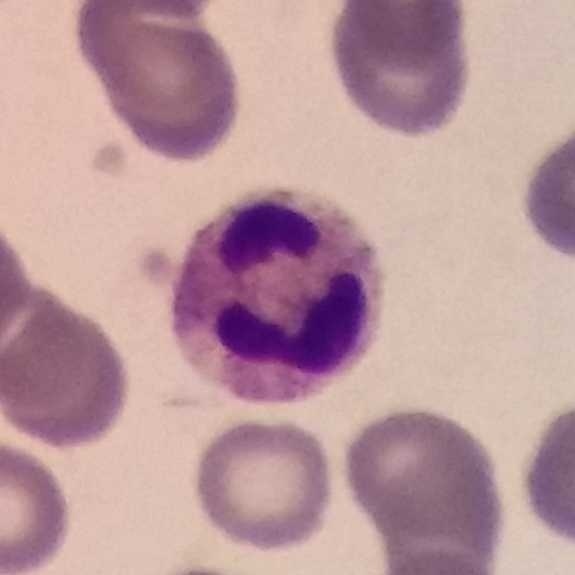 575 by 575 pixels · peripheral blood film. White blood cell type: neutrophil granulocyte.